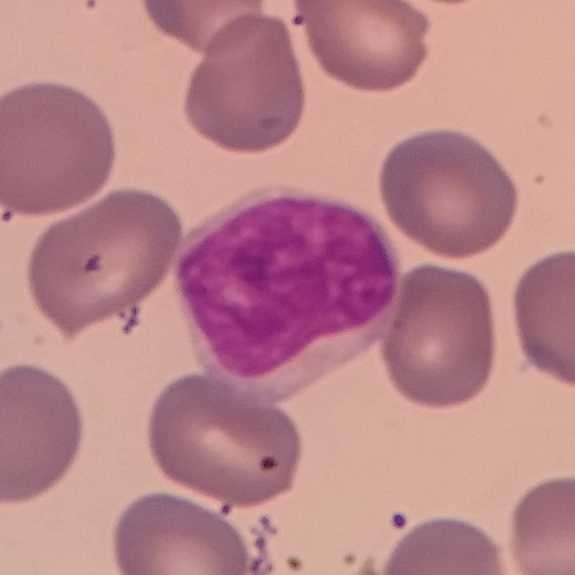
Q: What is shown here?
A: Lymphocyte.

Context: Peripheral blood film. 575 by 575 pixels. Magnification 100×.